Stained with Giemsa. Peripheral blood film. 100× magnification:
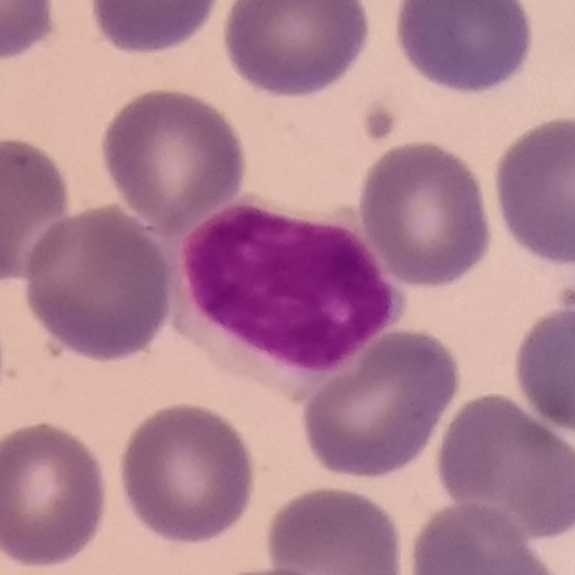 Morphology — lymphocyte.